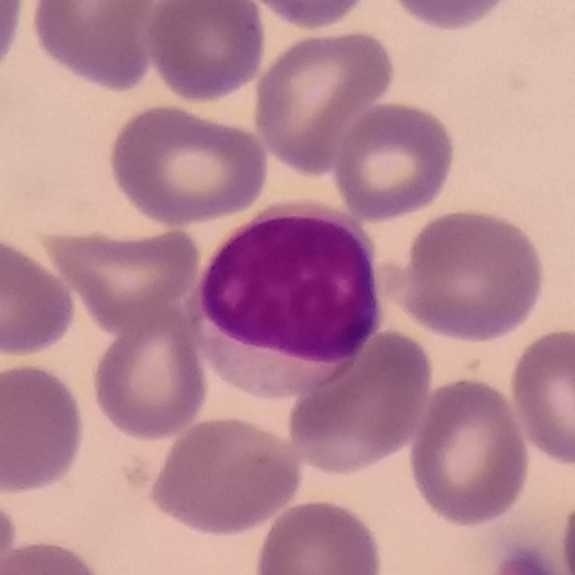

Context: Peripheral blood smear.

A lymphocyte.